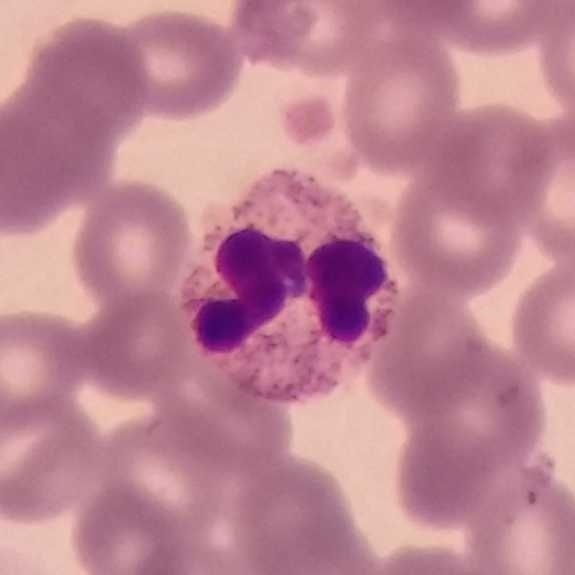Impression → neutrophil granulocyte.